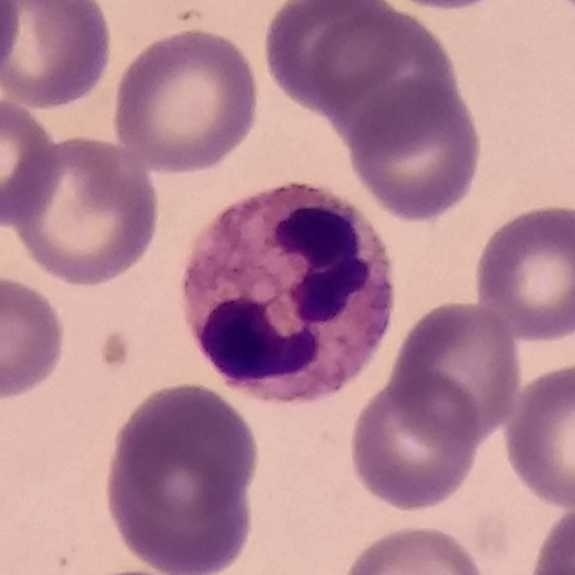Q: Classify this leukocyte.
A: Neutrophil.